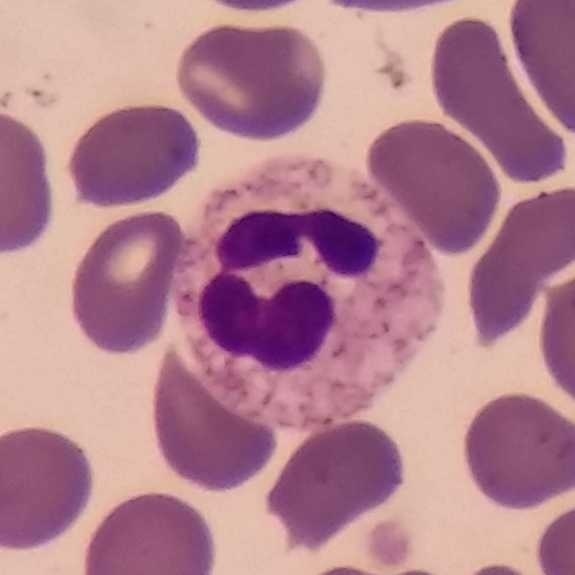
Morphological class — neutrophil granulocyte.
575×575; peripheral blood film; Giemsa-stained.